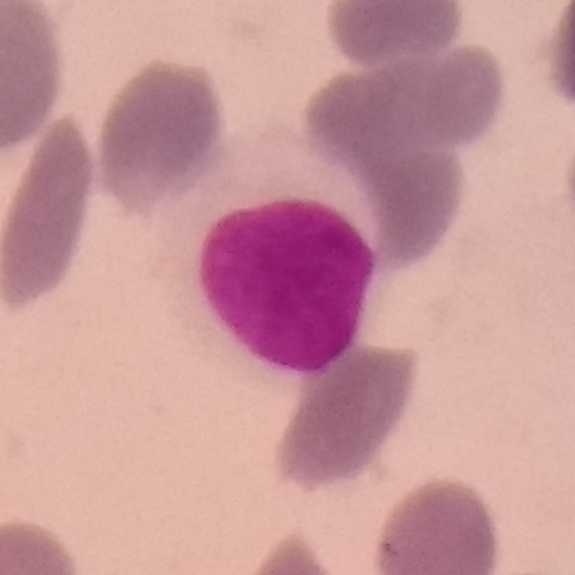The cell shown is a lymphocyte.